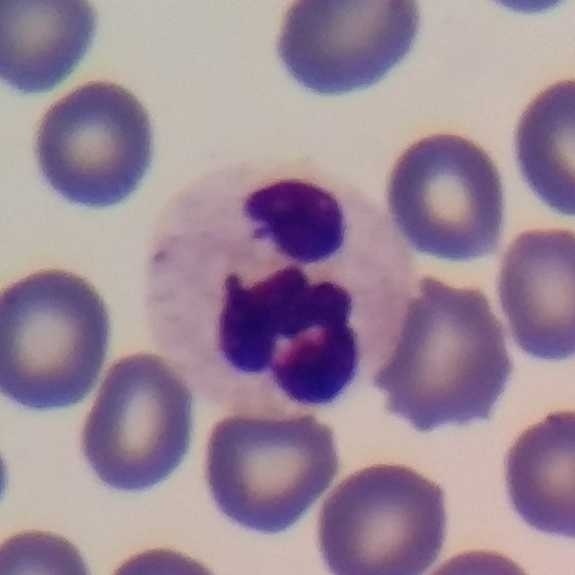

Specimen: peripheral blood film.
Cell: neutrophil granulocyte.
Lineage: myeloid.